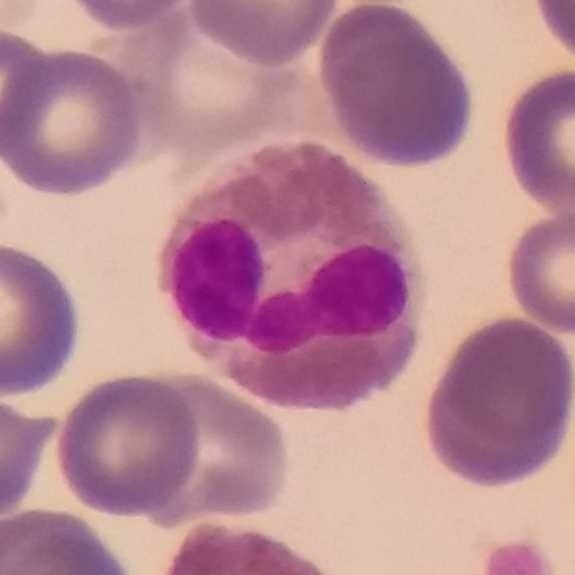 Specimen: peripheral blood smear.
Morphological class: eosinophil.
Lineage: myeloid.